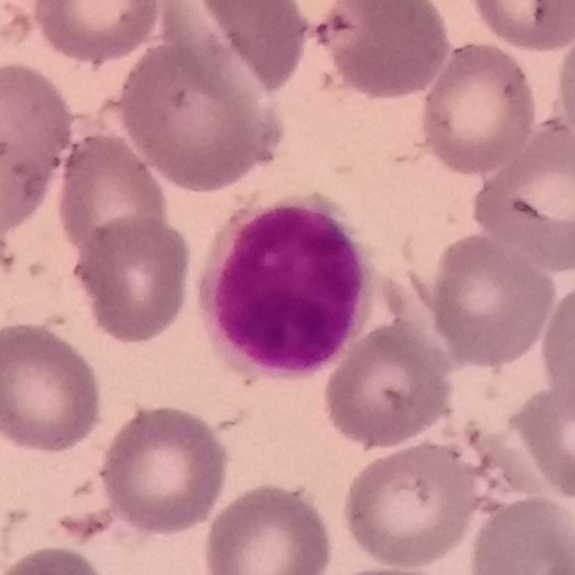 Morphology consistent with a lymphocyte. Image: Peripheral blood smear. 575×575 px.